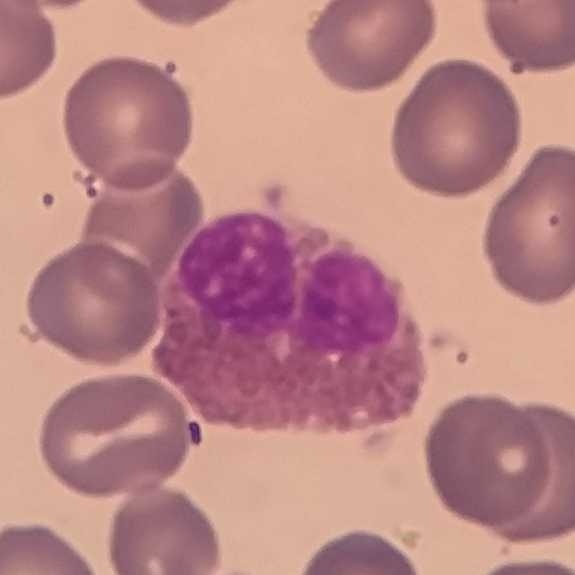White blood cell from a peripheral blood smear: eosinophilic granulocyte.